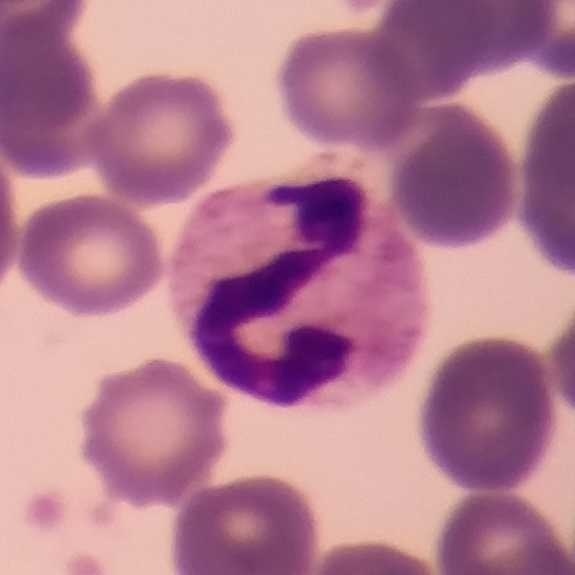 Acquisition: Giemsa-stained · magnification 100× · peripheral blood smear. Cell — neutrophil granulocyte.